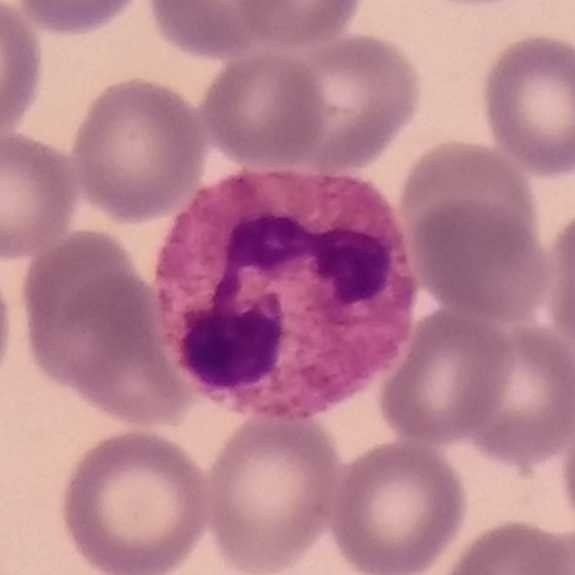

Image: Peripheral blood film. Stained with Giemsa. Photographed through a light microscope with a smartphone camera.

White blood cell type = neutrophilic granulocyte.